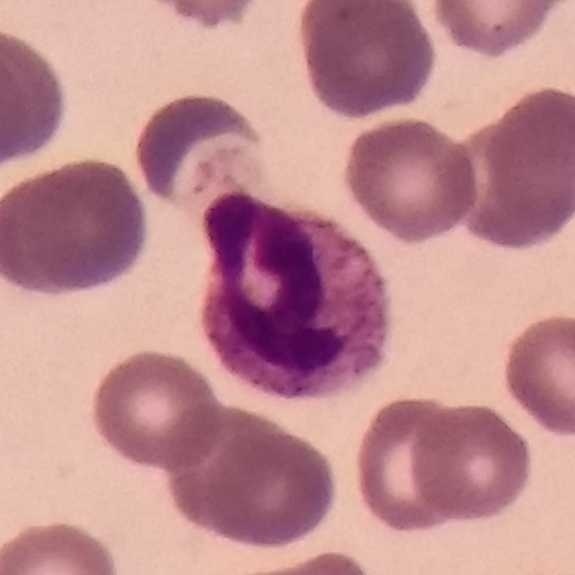

Morphology → neutrophilic granulocyte.
Smartphone photomicrograph. Peripheral blood film.